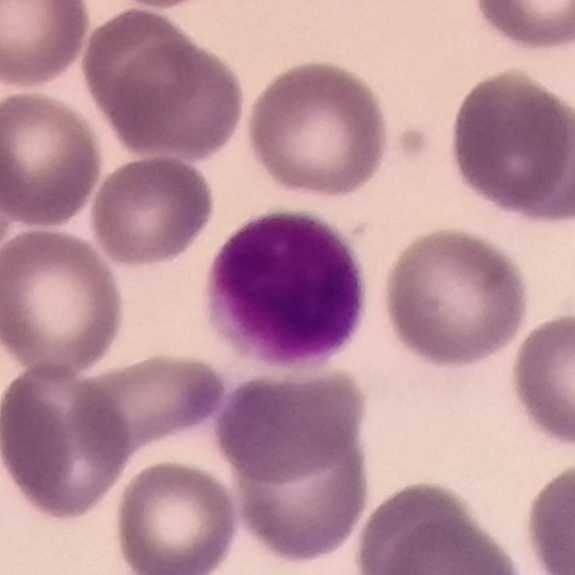

Impression → lymphocyte.